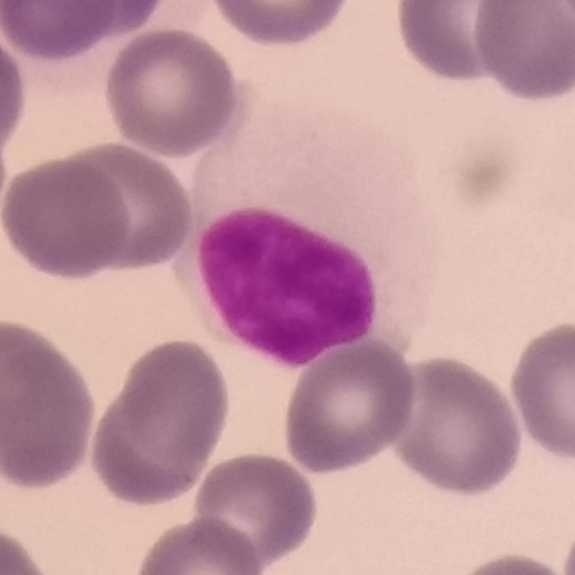From a peripheral blood smear: a lymphocyte.